Peripheral blood film · smartphone camera mounted on the microscope eyepiece: 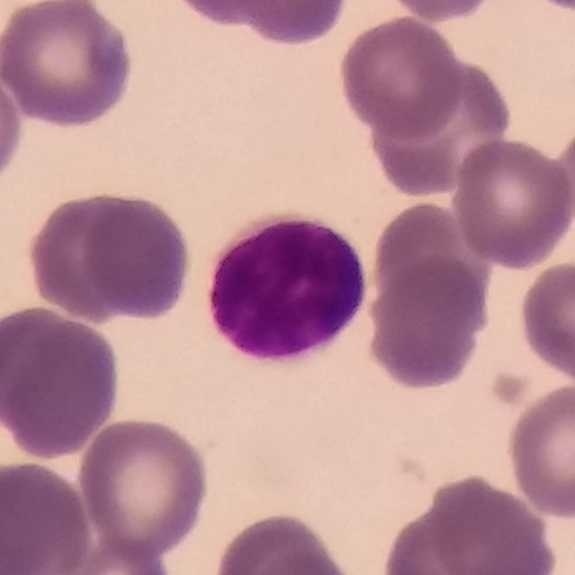 The white blood cell in this image is a lymphocyte.